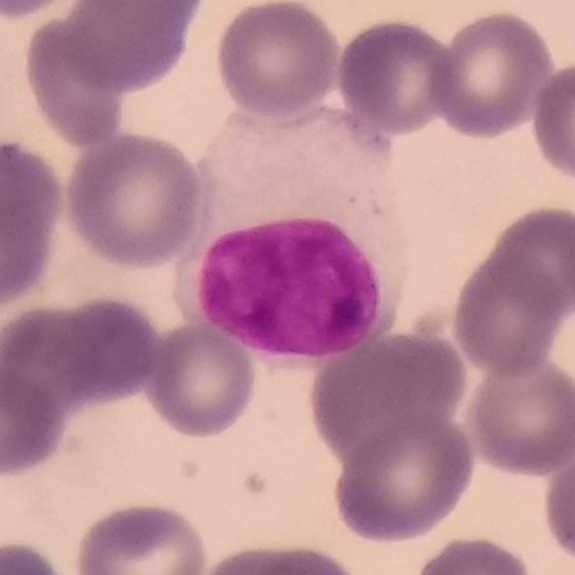 Classification = lymphocyte. Peripheral blood smear.